Peripheral blood film:
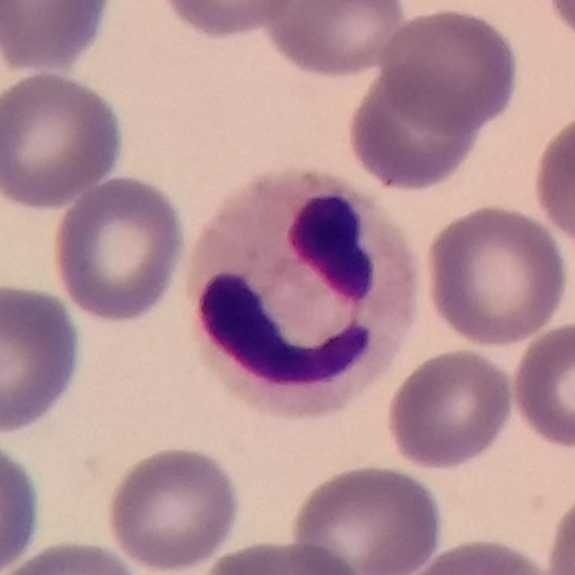
Single cell identified as a neutrophil granulocyte.